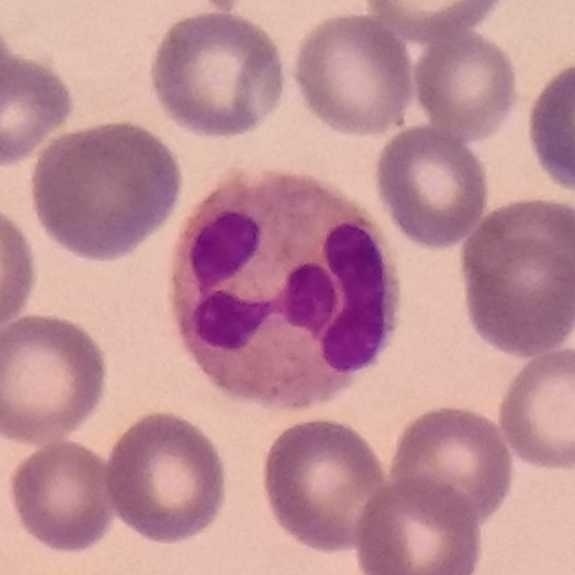 Q: Which cell type is shown here?
A: A neutrophil.

Image: Peripheral blood smear.